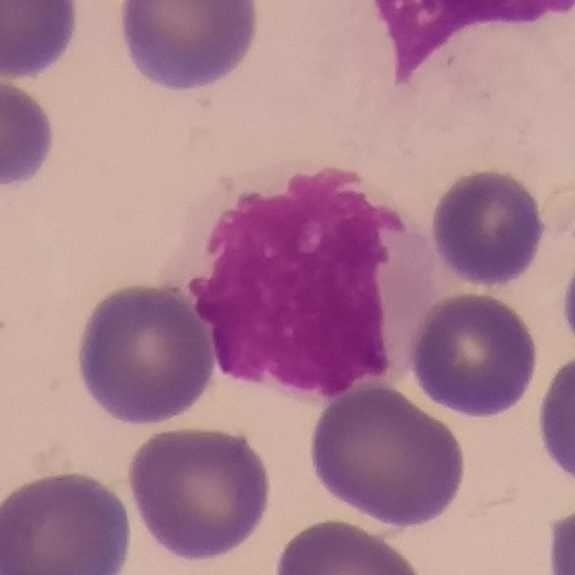Q: What type of cell is this?
A: Monocyte.

Context: Peripheral blood smear · Giemsa-stained.